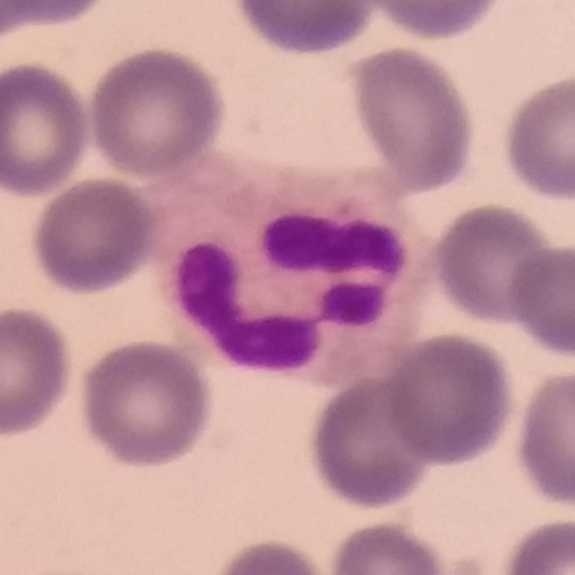

Impression — neutrophil granulocyte.